Phone-camera image taken through the microscope ocular · peripheral blood smear:
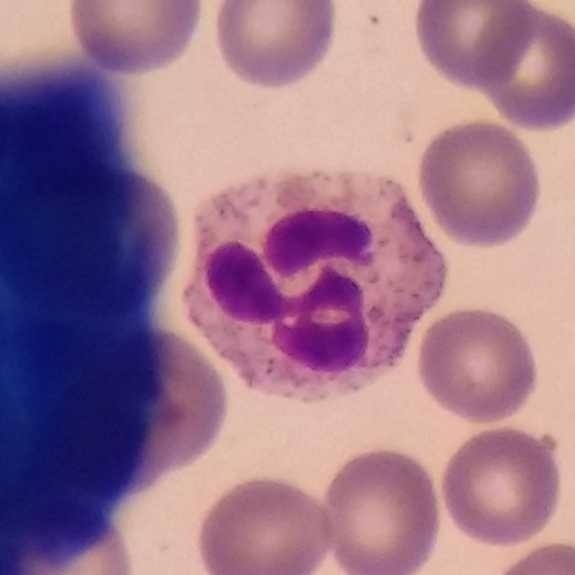Cell type — neutrophilic granulocyte.